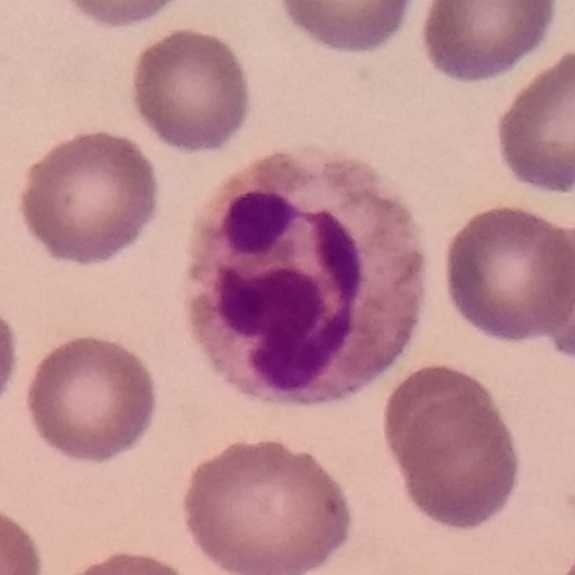{"cell_type": "neutrophilic granulocyte", "lineage": "myeloid"}